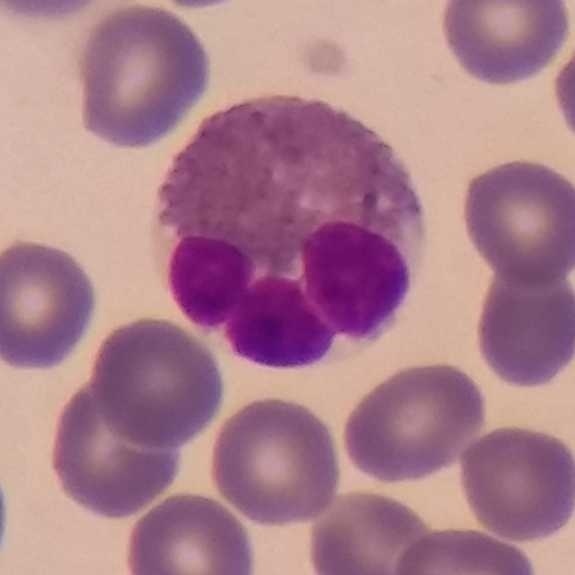
Q: Which type of white blood cell is this?
A: Eosinophilic granulocyte.
Smartphone photomicrograph; peripheral blood smear.